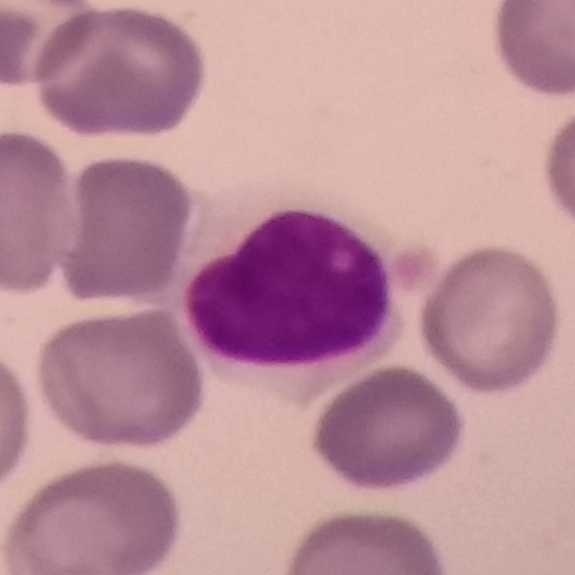 Morphology → lymphocyte. Image: Peripheral blood smear.